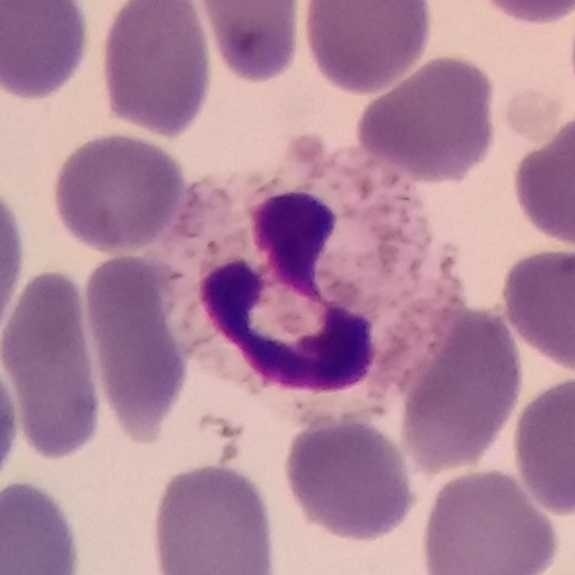Q: Which cell type is shown here?
A: It is a neutrophil granulocyte.

Preparation: Single white blood cell cropped from the smear photograph · Giemsa stain · peripheral blood smear.